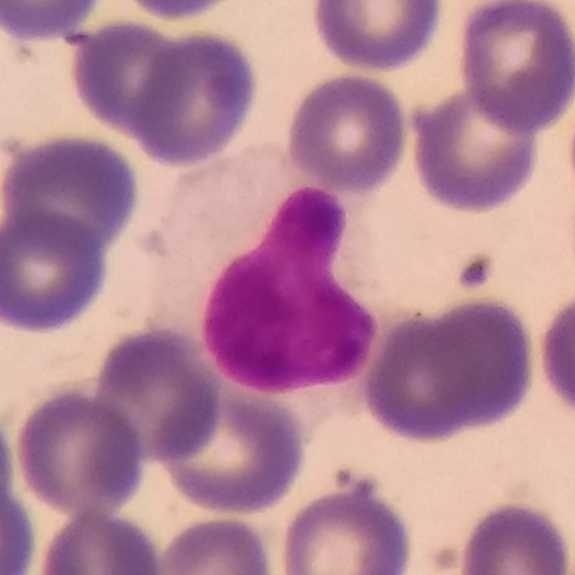 The morphological class is lymphocyte.